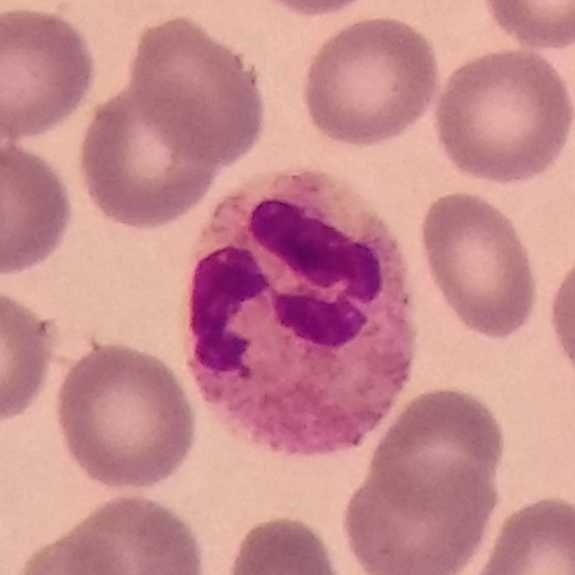
Image: Peripheral blood film.
Morphology → neutrophil granulocyte.